Peripheral blood film — 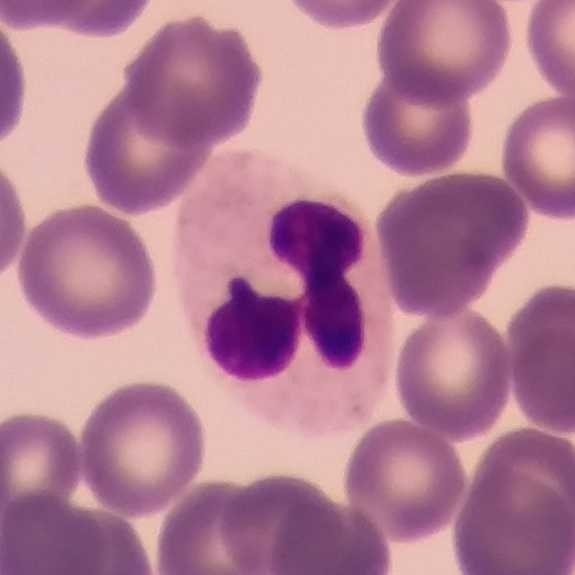
{"cell_type": "neutrophil granulocyte", "lineage": "myeloid"}